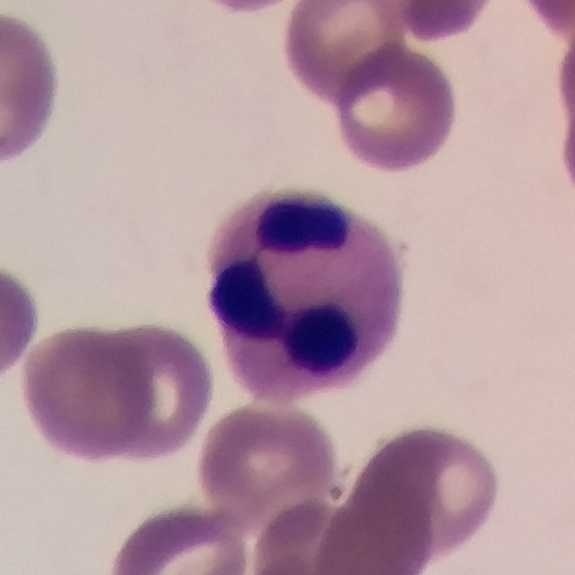Q: What is this?
A: A neutrophilic granulocyte.
Preparation: Magnification 100×; smartphone camera mounted on the microscope eyepiece; peripheral blood film.